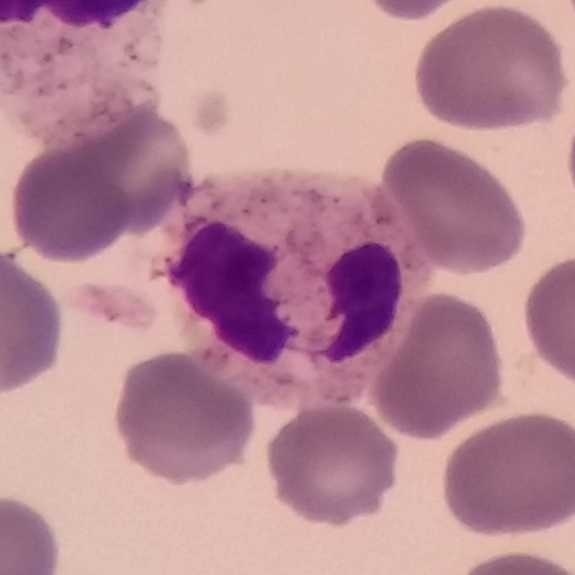 Specimen: peripheral blood film.
Classification: neutrophil granulocyte.
Lineage: myeloid.